Magnification 100× · peripheral blood film:
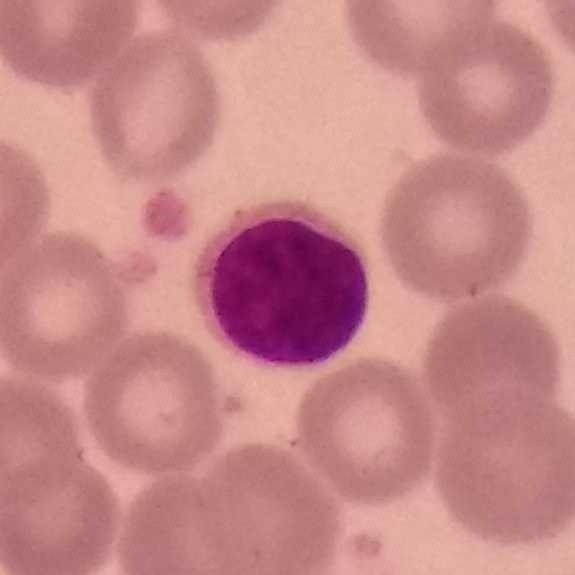 Specimen: peripheral blood smear.
White blood cell type: lymphocyte.